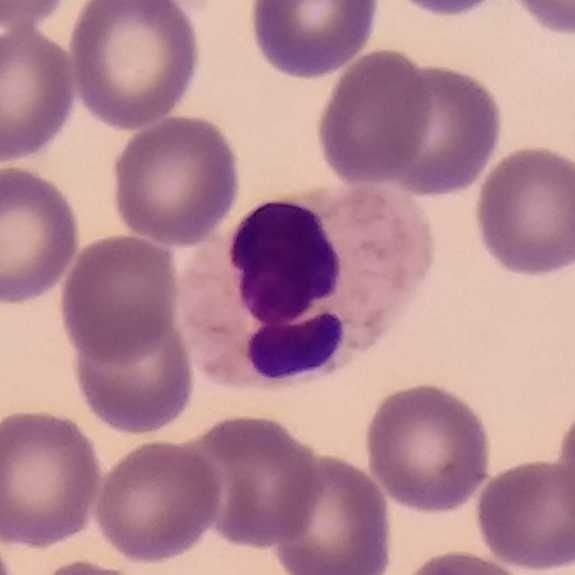
Q: What cell is this?
A: A neutrophilic granulocyte.